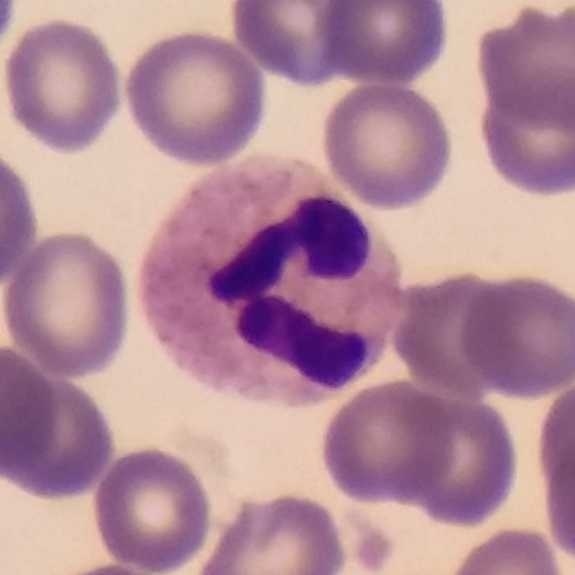
This is a neutrophil.